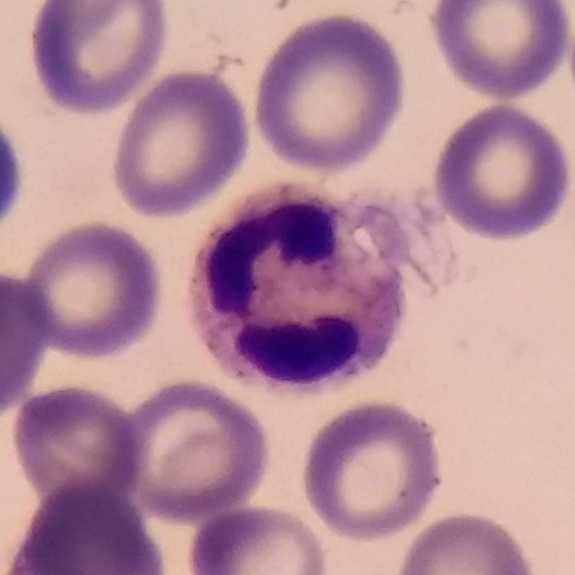 Context: Photographed through a light microscope with a smartphone camera. Peripheral blood smear.

The cell shown is a neutrophil.